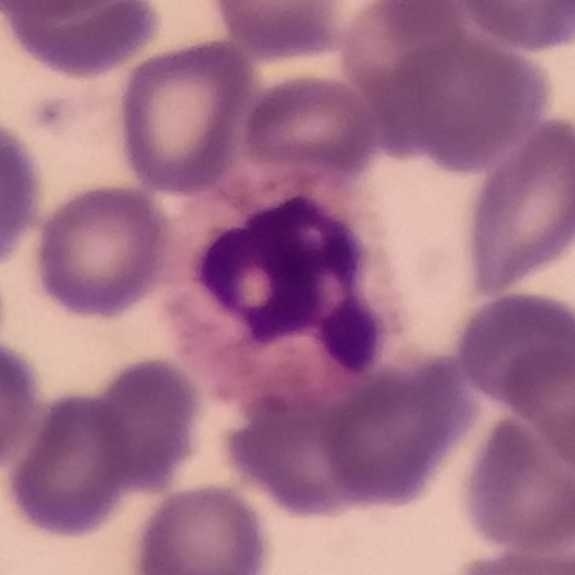
Morphology — neutrophil.
Image: Peripheral blood film.